Peripheral blood film.
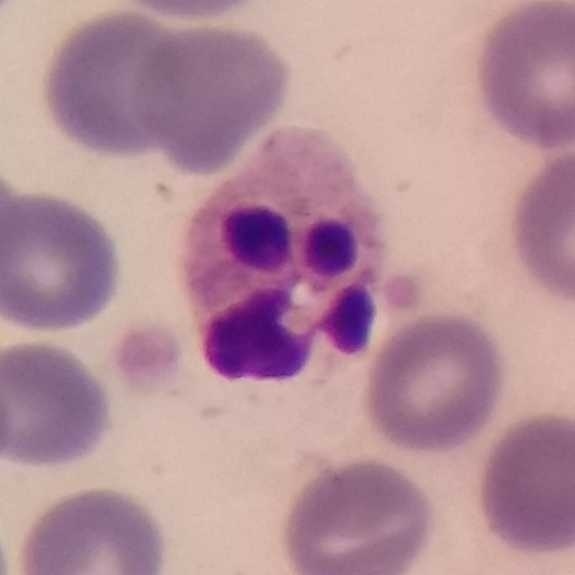

Showing a neutrophil granulocyte.